Peripheral blood film:
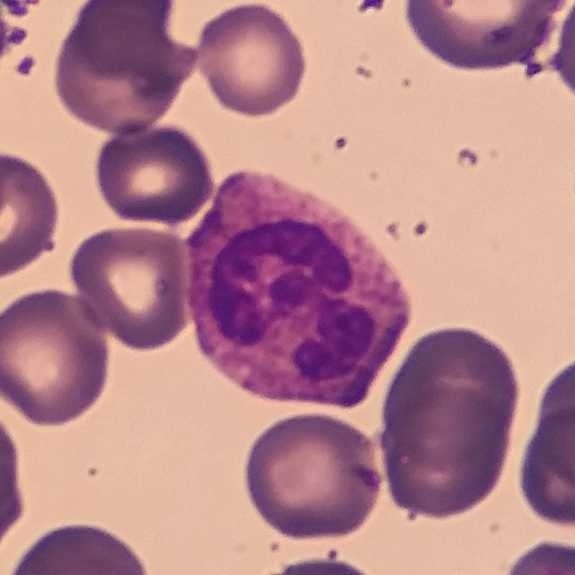
Cell: neutrophilic granulocyte.